Imaged at 100× · stained with Giemsa · peripheral blood smear:
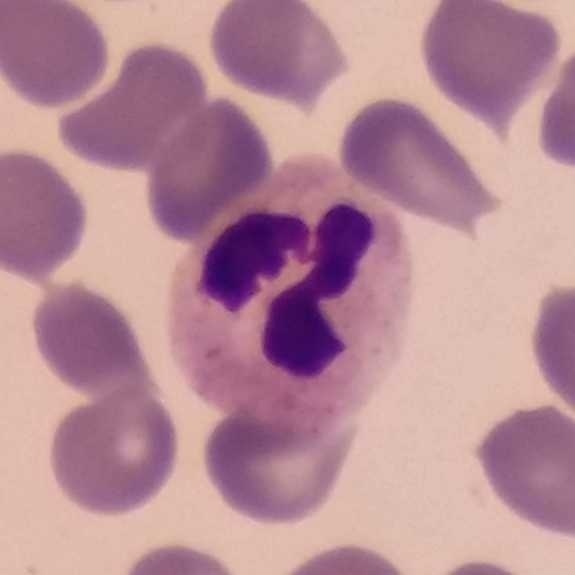
The white blood cell in this image is a neutrophil.